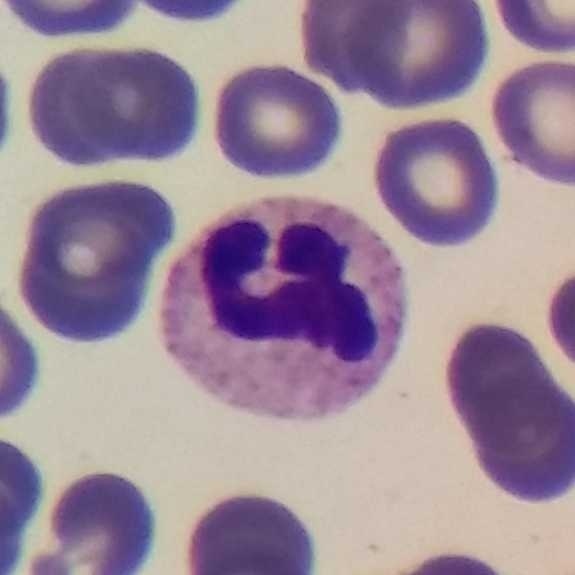Peripheral blood smear.
The cell shown is a neutrophilic granulocyte.